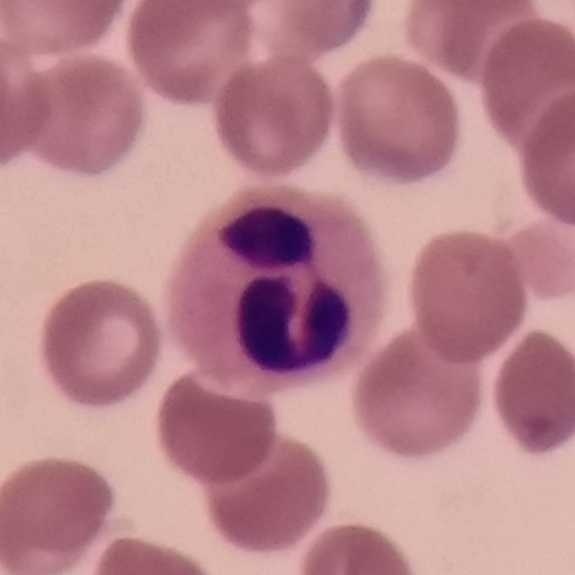Identified as a neutrophil granulocyte. Magnification 100×; smartphone photomicrograph; peripheral blood smear.